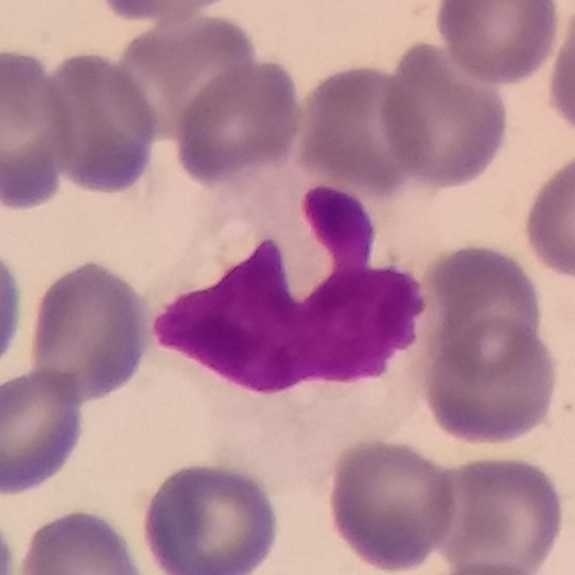
Peripheral blood smear showing a monocyte.